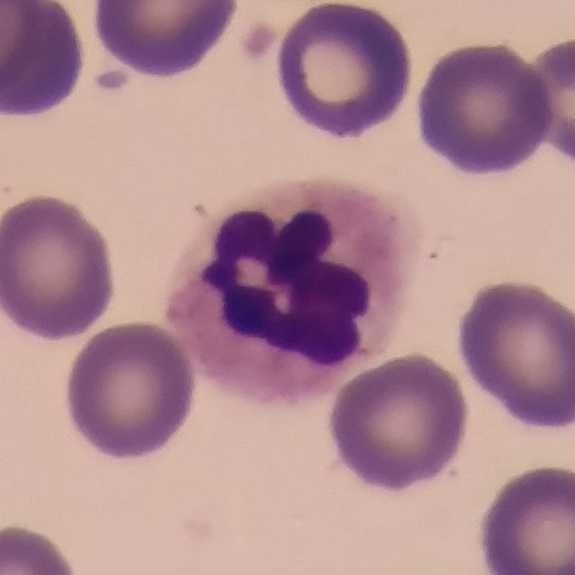 This is a neutrophil granulocyte.